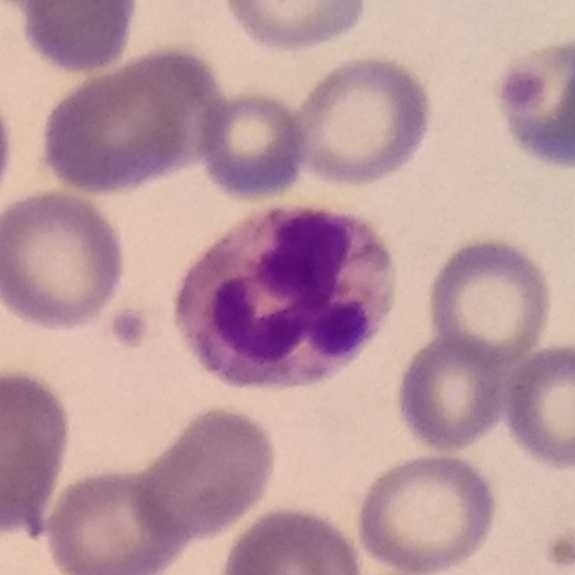
Image: Peripheral blood smear.

Neutrophil.